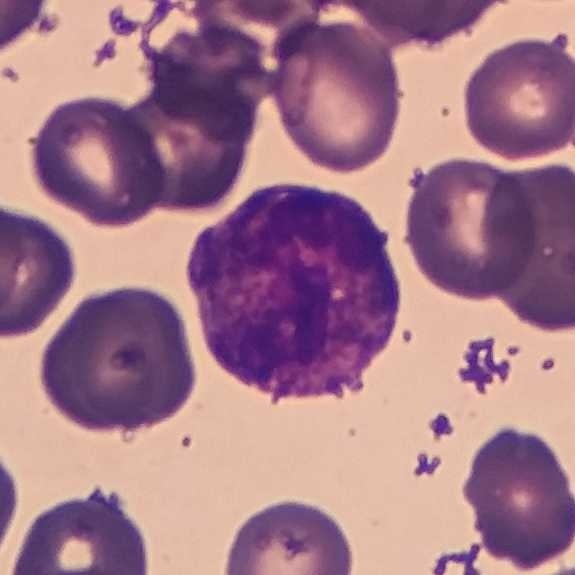 Preparation: Magnification 100× · peripheral blood film. The cell type is neutrophil.